Giemsa stain · peripheral blood smear:
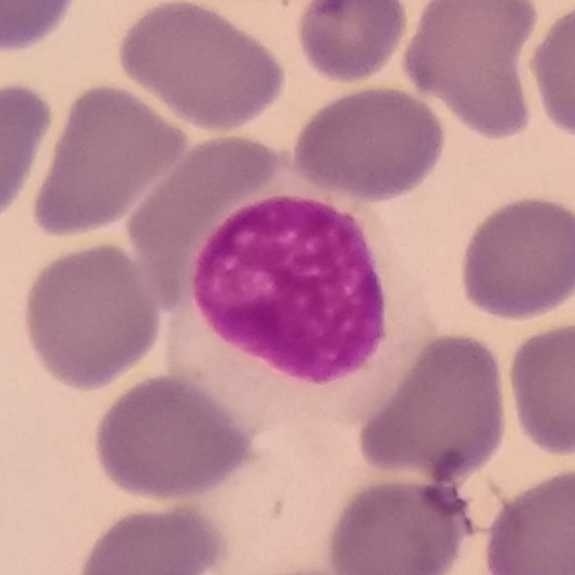Specimen: peripheral blood smear.
Morphological class: lymphocyte.
Lineage: lymphoid.